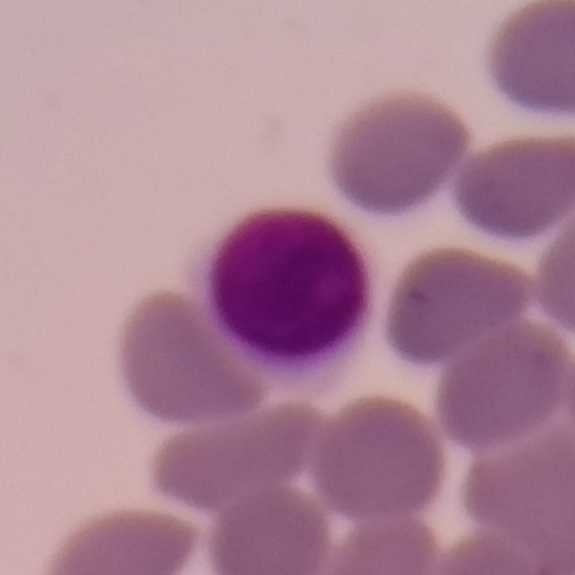

The white blood cell type is lymphocyte.

Preparation: Cropped to one leukocyte; peripheral blood smear.